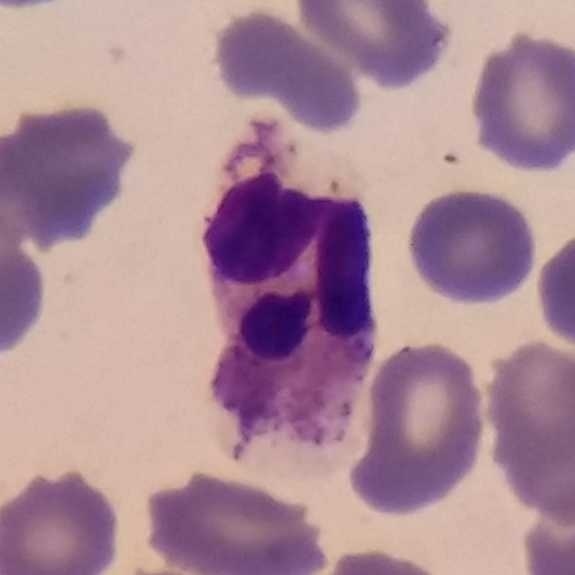

Q: Identify the cell.
A: This is a neutrophil.
Context: Giemsa stain · peripheral blood smear.